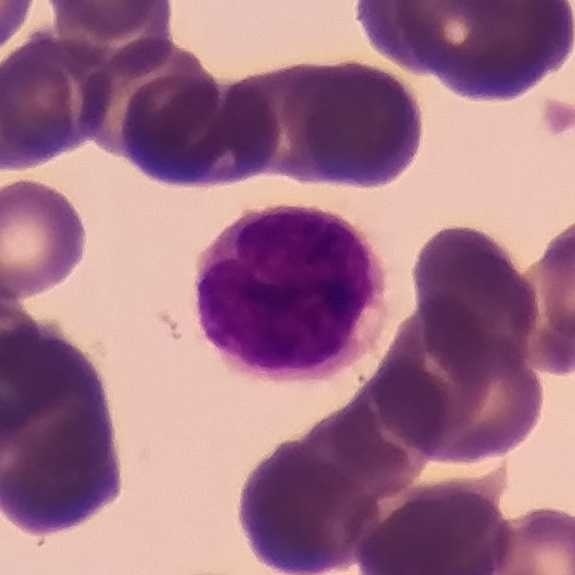 Peripheral blood film. 575 by 575 pixels. Smartphone photomicrograph. Cell type — lymphocyte.